Peripheral blood smear — 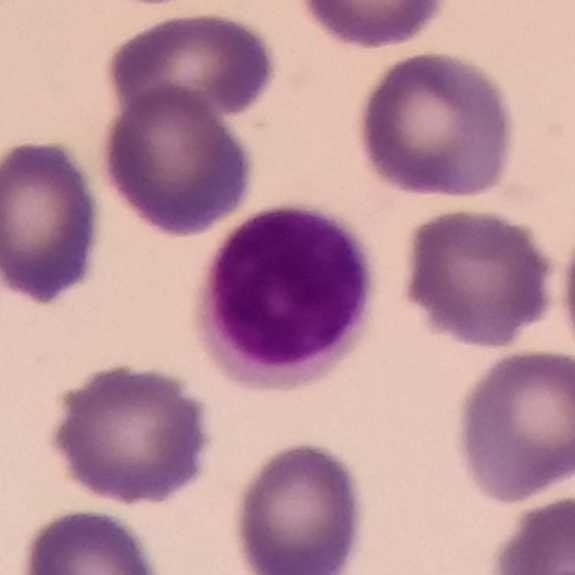Cell — lymphocyte.